Peripheral blood film
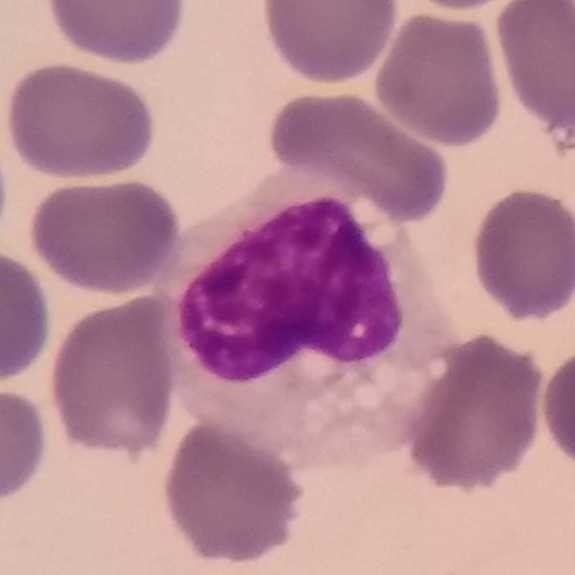

The white blood cell in this image is a monocyte.